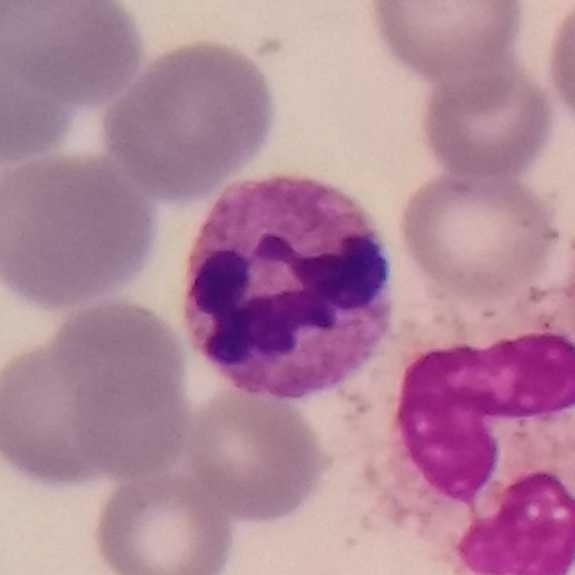 Neutrophil granulocyte.
Preparation: Phone-camera image taken through the microscope ocular · peripheral blood film.